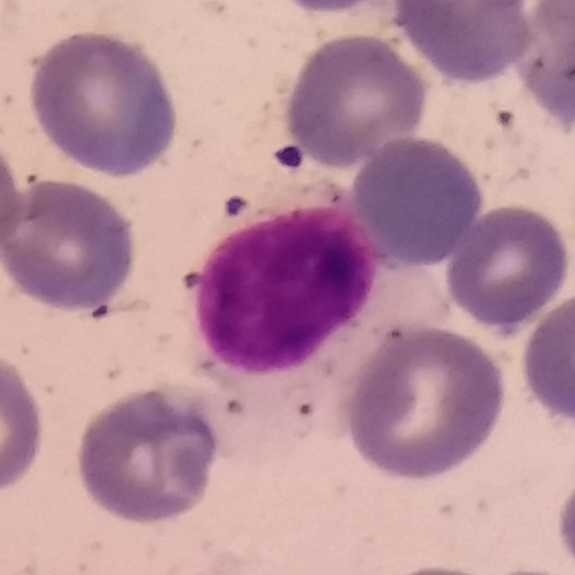
This is a lymphocyte.
Image: Peripheral blood smear.